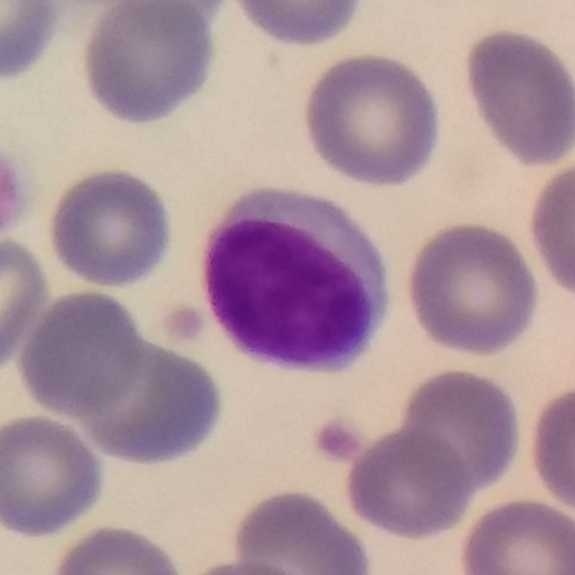 Single-cell crop · 575×575 · peripheral blood film.
Q: What is shown here?
A: A lymphocyte.